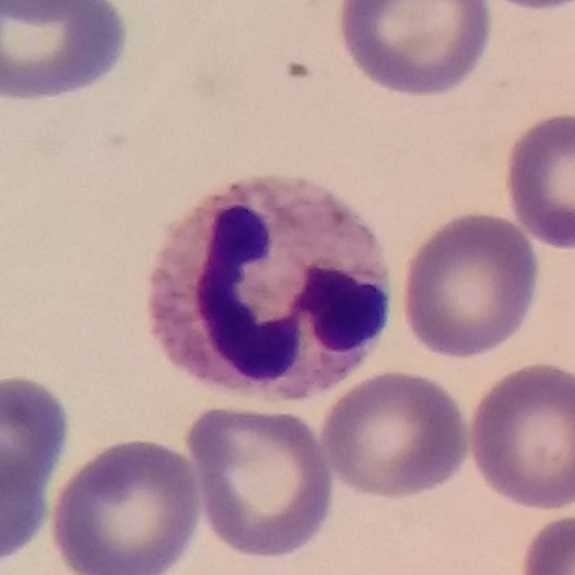 Classification — neutrophil.